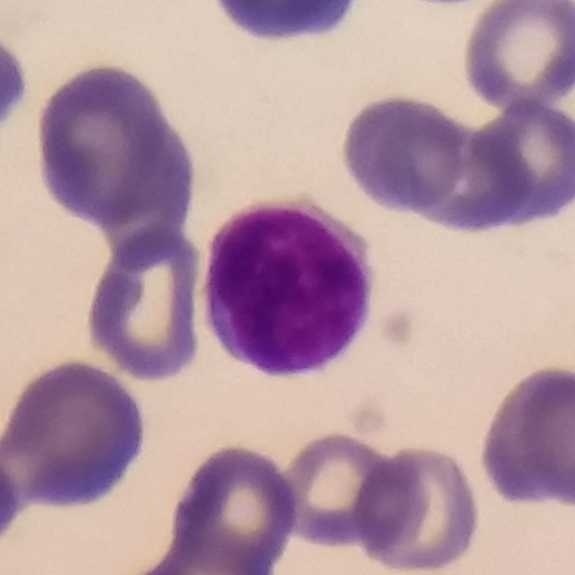
The white blood cell in this image is a lymphocyte.

Acquisition: Peripheral blood film.